Single white blood cell cropped from the smear photograph · peripheral blood film
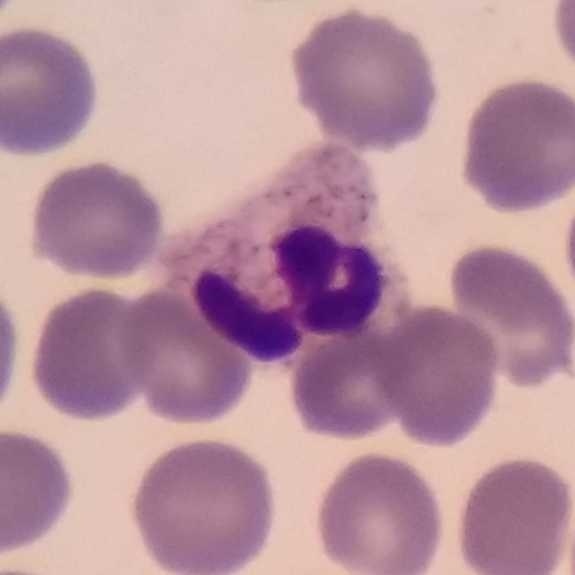

Q: Which cell type is shown here?
A: A neutrophilic granulocyte.